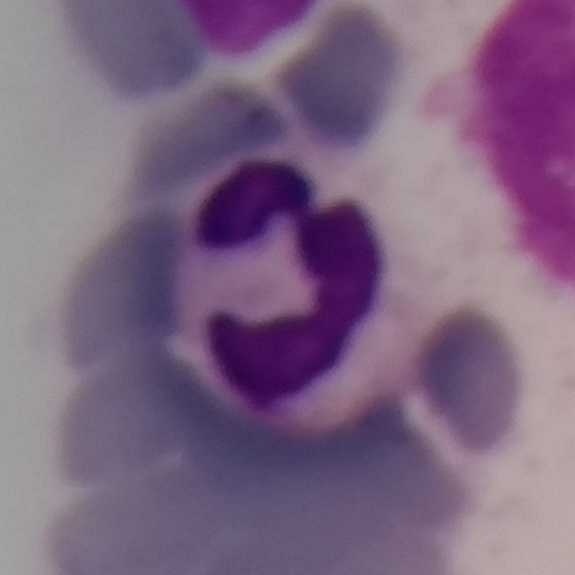

Image: Peripheral blood smear.
Neutrophilic granulocyte.